Peripheral blood smear.
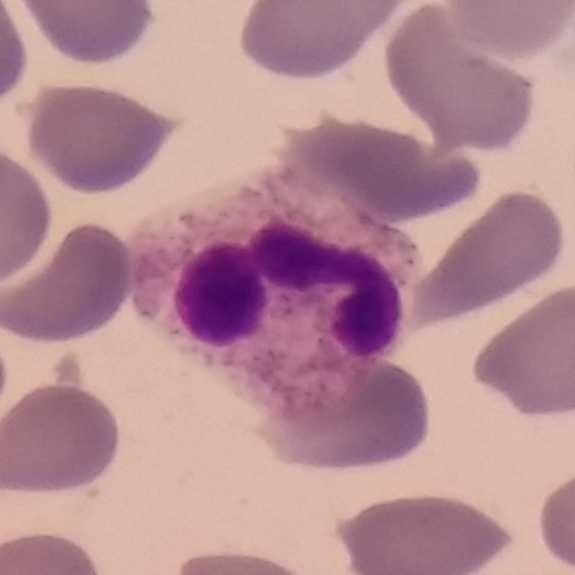

Morphological class = neutrophilic granulocyte.